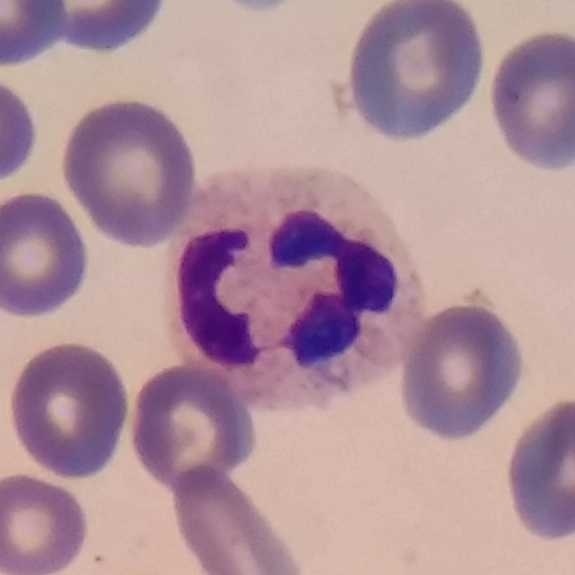Acquisition: Peripheral blood smear · single-cell field.
Q: What is the morphological classification of this cell?
A: It is a neutrophil granulocyte.